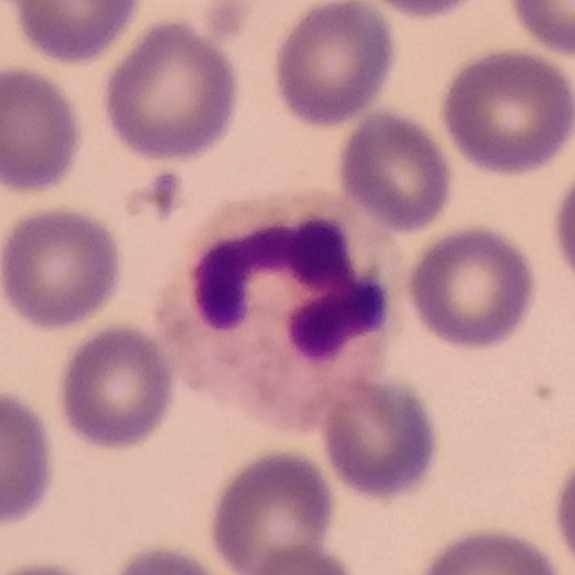
Image: Peripheral blood film.

Cell type: neutrophil.